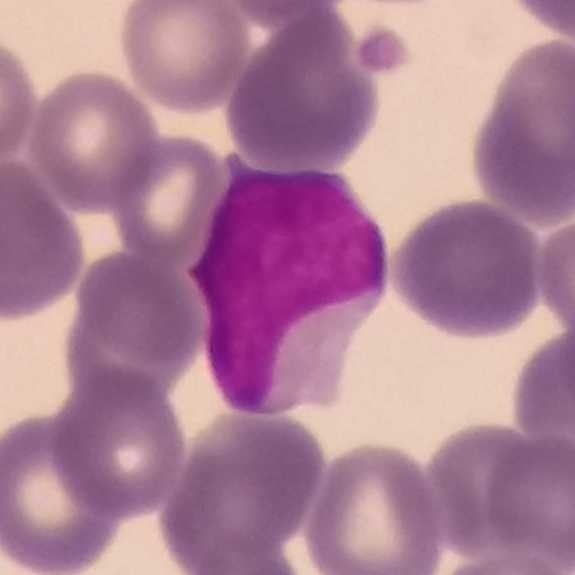
A lymphocyte.

Acquisition: 575 by 575 pixels · peripheral blood film.